Peripheral blood film · imaged at 100×:
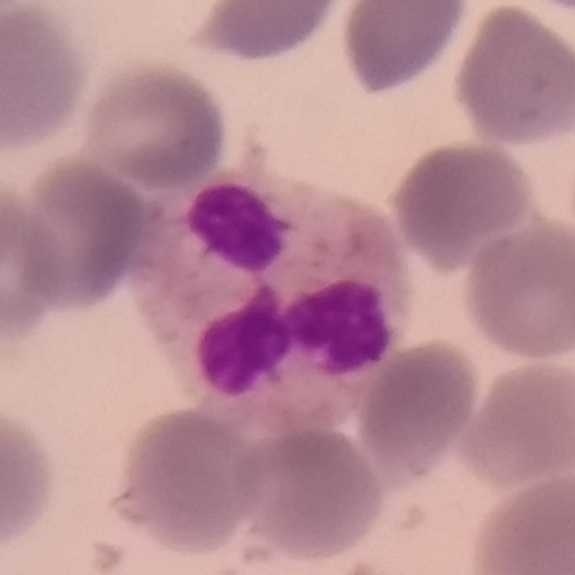
Morphology consistent with a neutrophil.